Peripheral blood film · single-cell crop
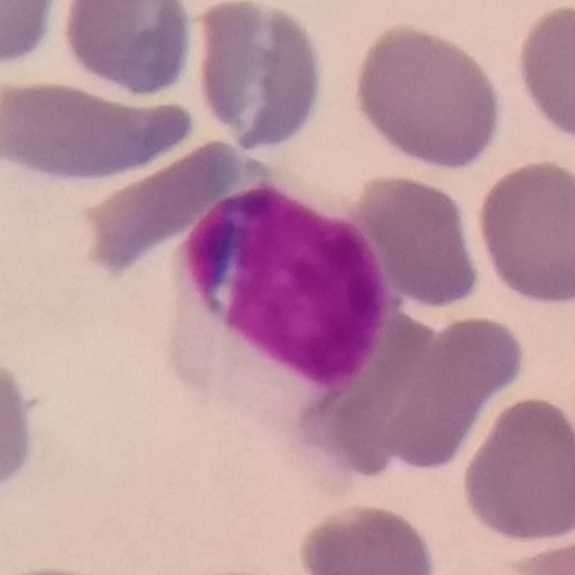 Specimen: peripheral blood smear.
Cell: lymphocyte.
Lineage: lymphoid.